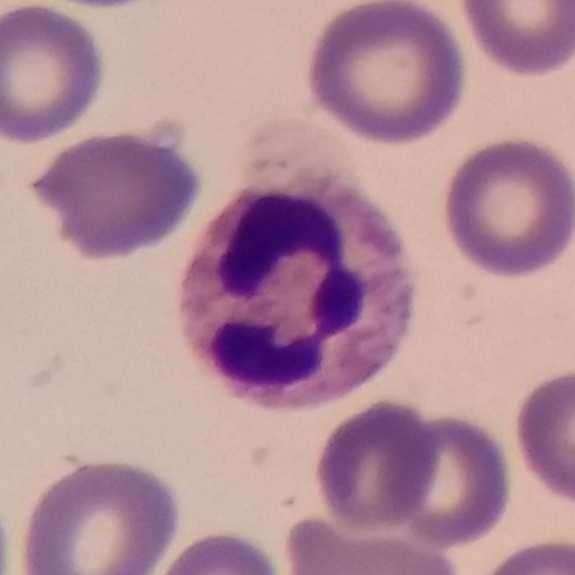
Acquisition: Peripheral blood film.

Morphology consistent with a neutrophilic granulocyte.